Photographed through a light microscope with a smartphone camera. Giemsa stain. Peripheral blood film.
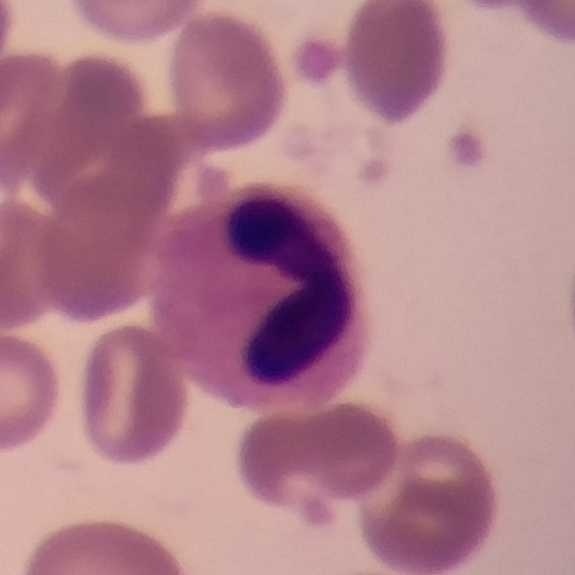The cell shown is a neutrophil.